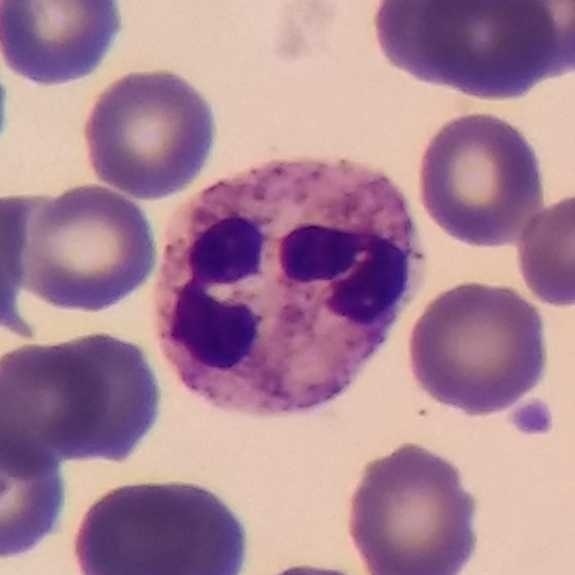Q: Classify this leukocyte.
A: It is a neutrophil granulocyte.
Acquisition: Peripheral blood film; cropped to one leukocyte.